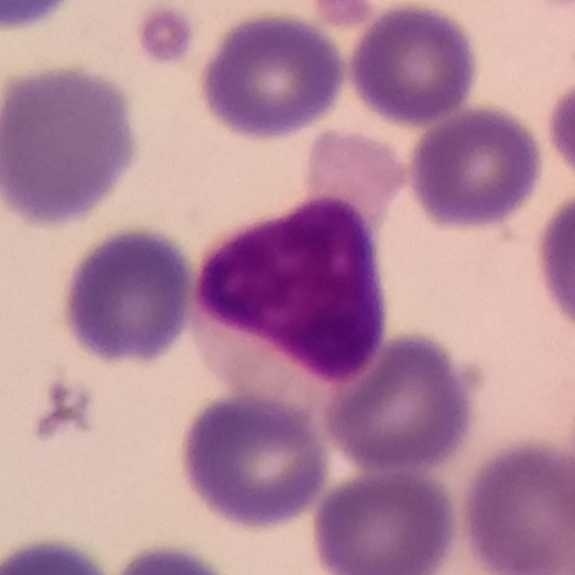 This is a lymphocyte. Peripheral blood film.